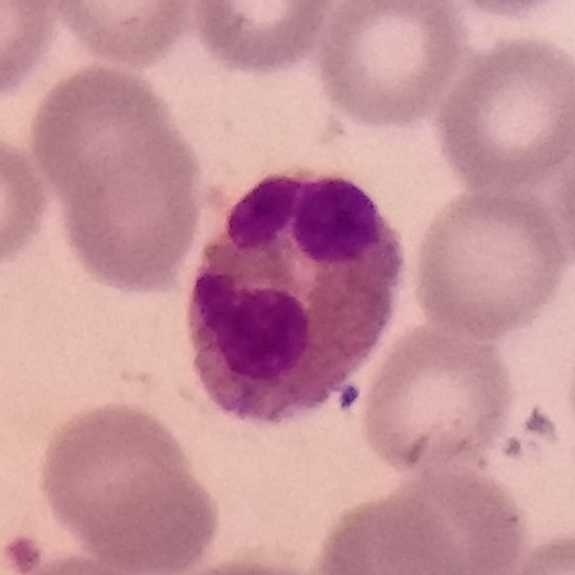Preparation: Peripheral blood film.
Q: What is this?
A: Eosinophil.